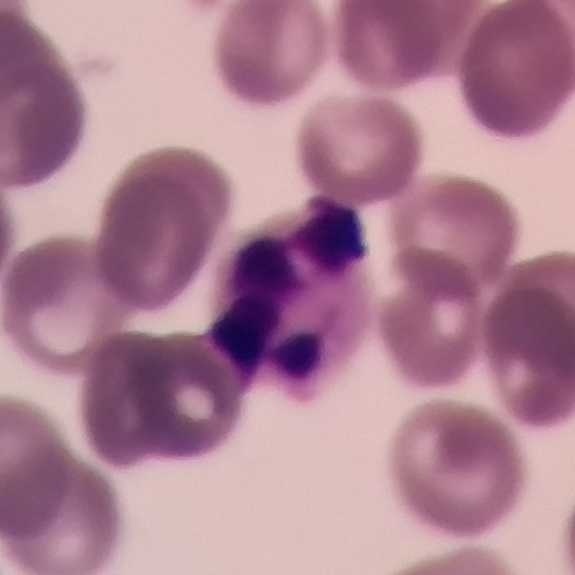 Morphology → neutrophil granulocyte.